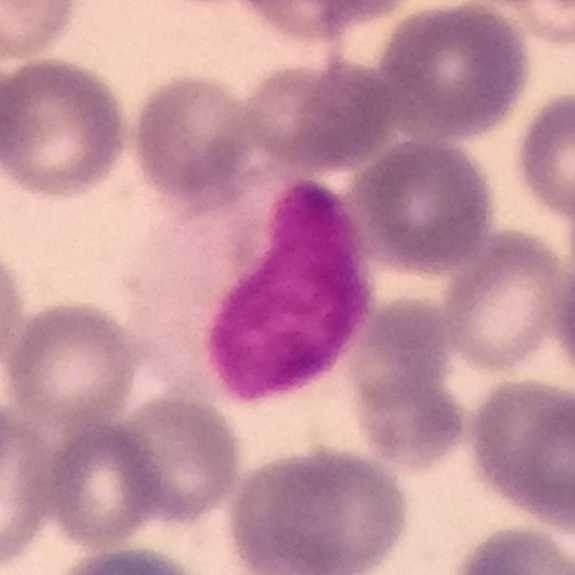

Peripheral blood smear.

Impression — monocyte.